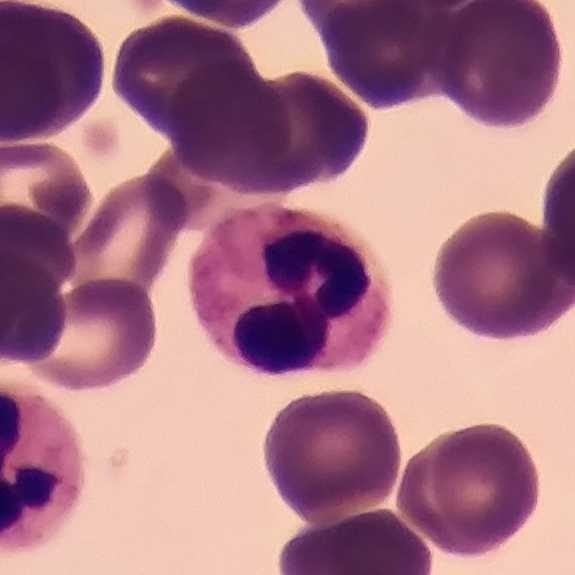
Impression — neutrophil granulocyte.

Context: Peripheral blood film; single-cell crop.